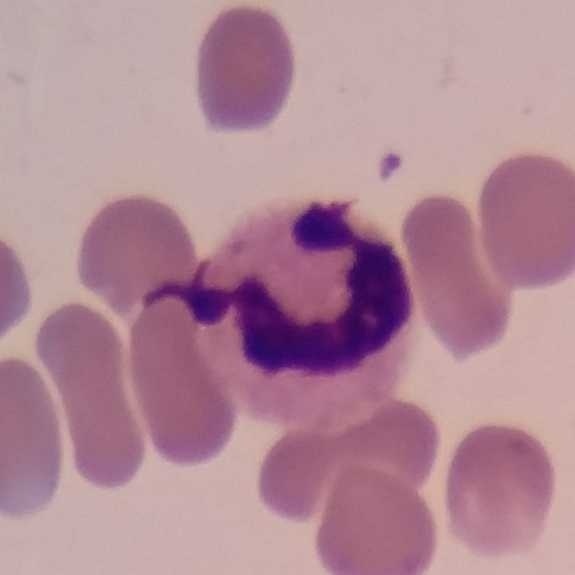Neutrophil.